Giemsa stain; single-cell crop; peripheral blood film.
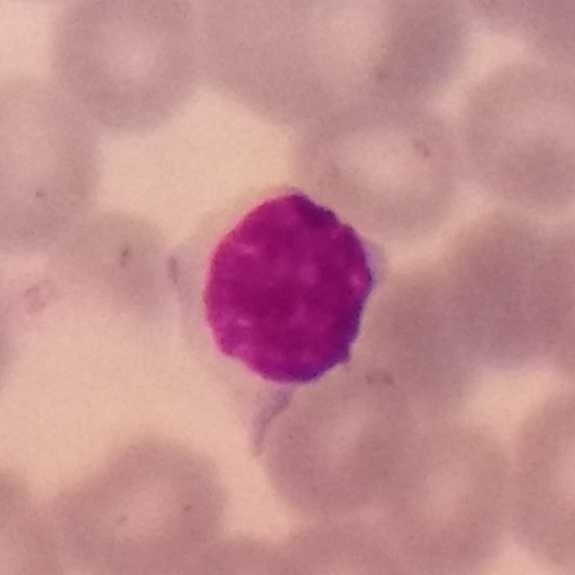

Morphology → lymphocyte.